Peripheral blood film · phone-camera image taken through the microscope ocular.
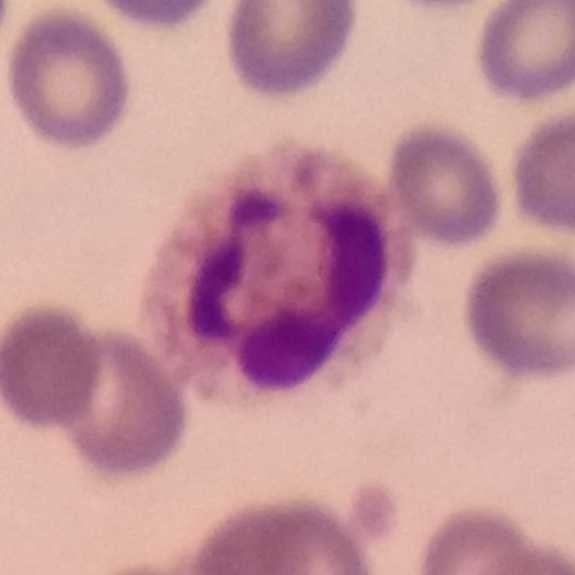
Specimen: peripheral blood film.
Classification: neutrophil.
Lineage: myeloid.